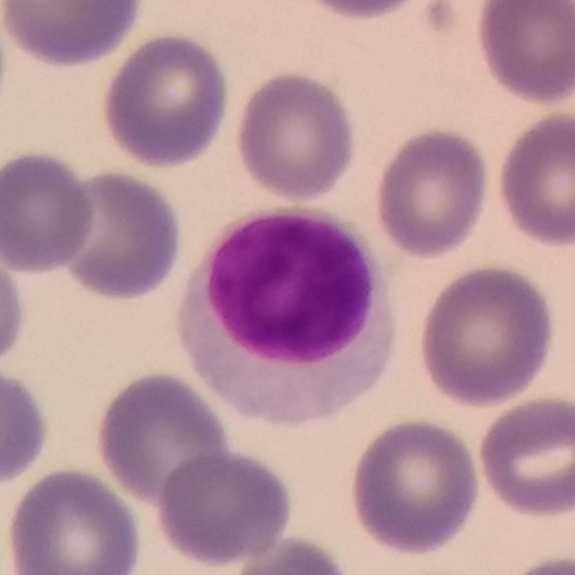 The white blood cell type is lymphocyte.